Peripheral blood film
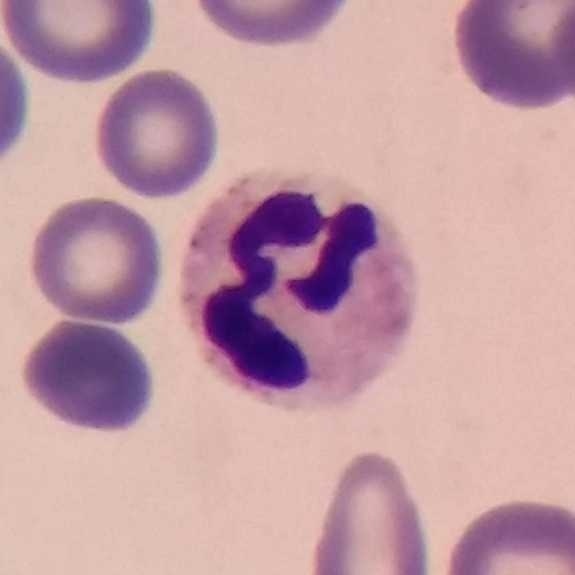

Specimen: peripheral blood film.
White blood cell type: neutrophilic granulocyte.
Lineage: myeloid.